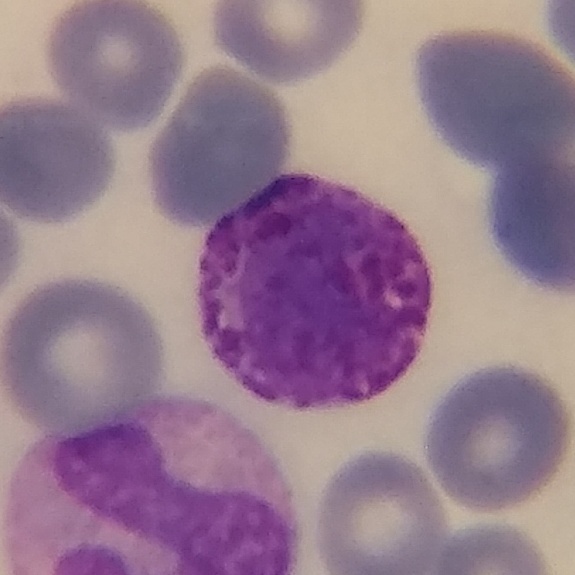 Context: Peripheral blood smear.
The cell shown is a basophil.